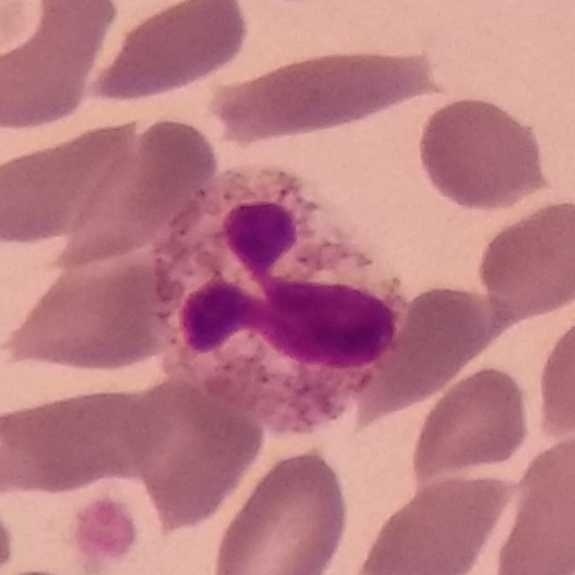Q: Classify this leukocyte.
A: A neutrophilic granulocyte.